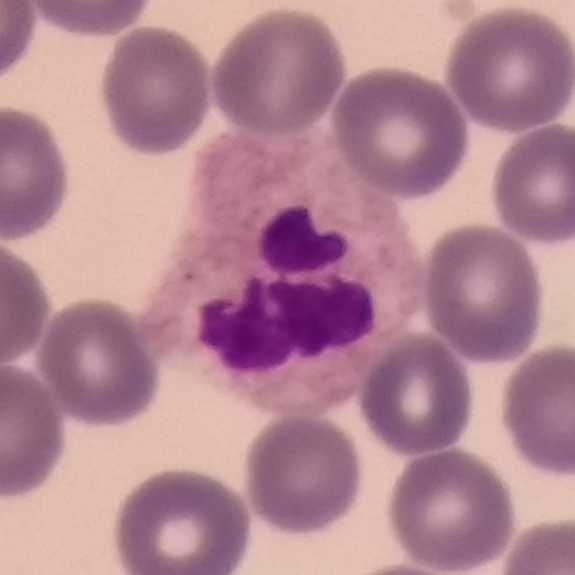
Specimen: peripheral blood smear.
Morphological class: neutrophilic granulocyte.